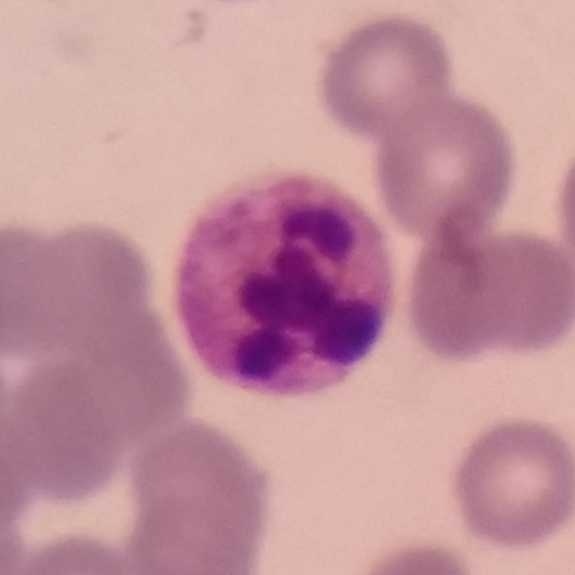Image: Peripheral blood film. Giemsa stain. Single cell identified as a neutrophil granulocyte.